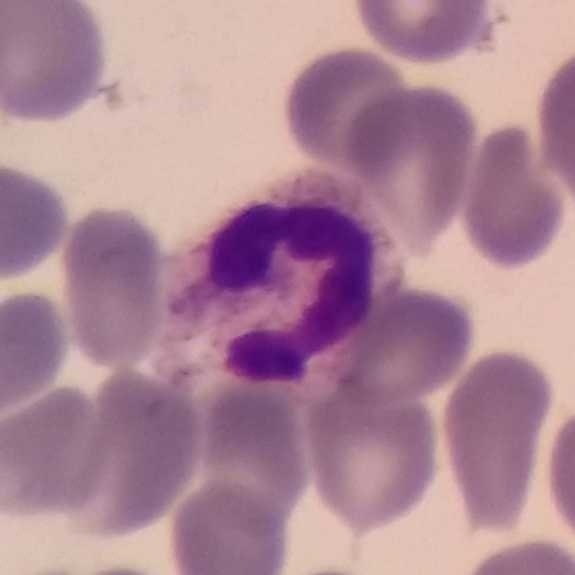 Acquisition: Cropped to one leukocyte · peripheral blood film.

A neutrophil granulocyte.